Peripheral blood film · Giemsa stain:
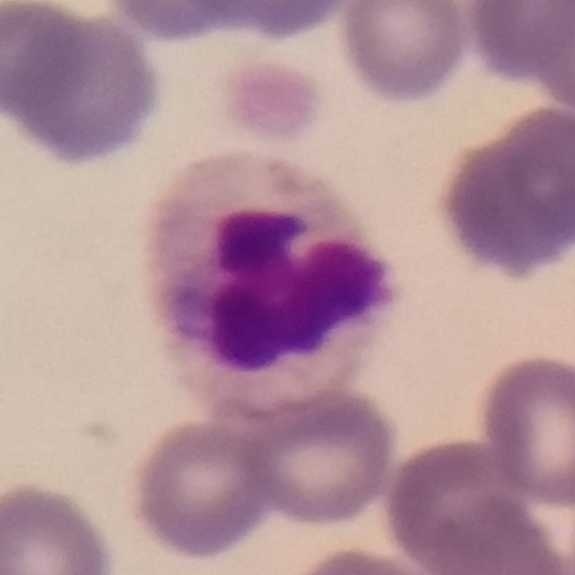Morphological class — neutrophil granulocyte.